Peripheral blood film — 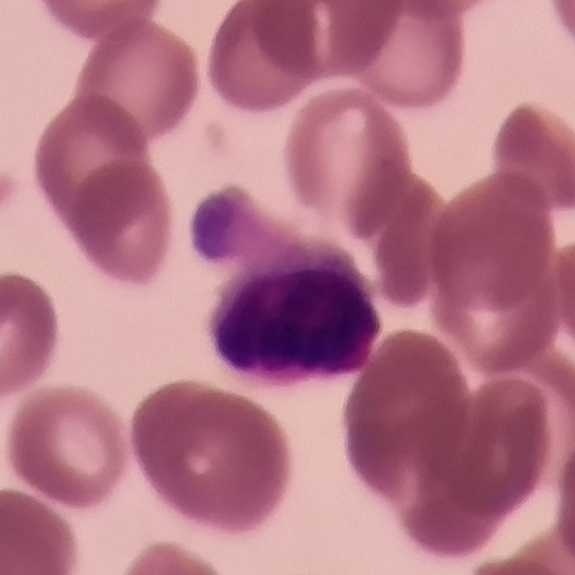{"cell_type": "lymphocyte", "lineage": "lymphoid"}